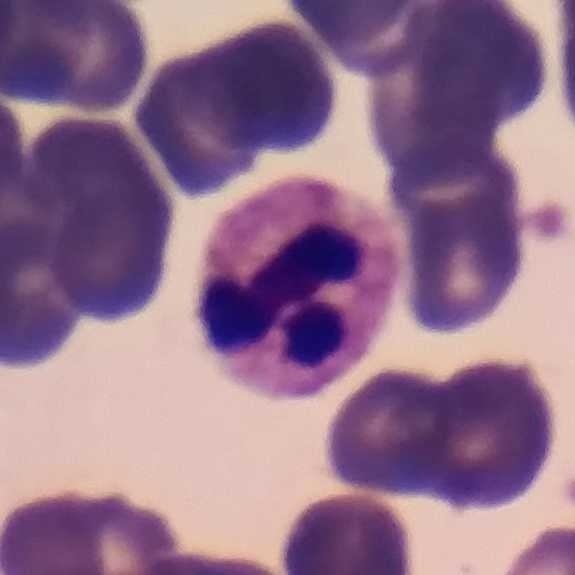575×575 px; peripheral blood smear; smartphone photomicrograph.

A neutrophil granulocyte.